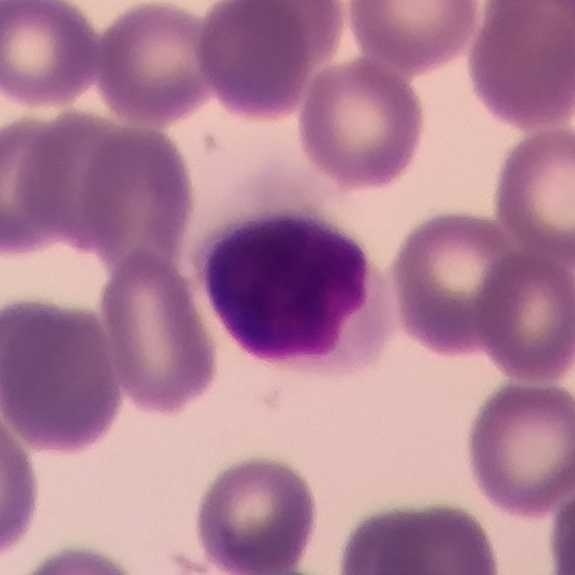

Acquisition: Photographed through a light microscope with a smartphone camera; peripheral blood smear.
The cell shown is a lymphocyte.